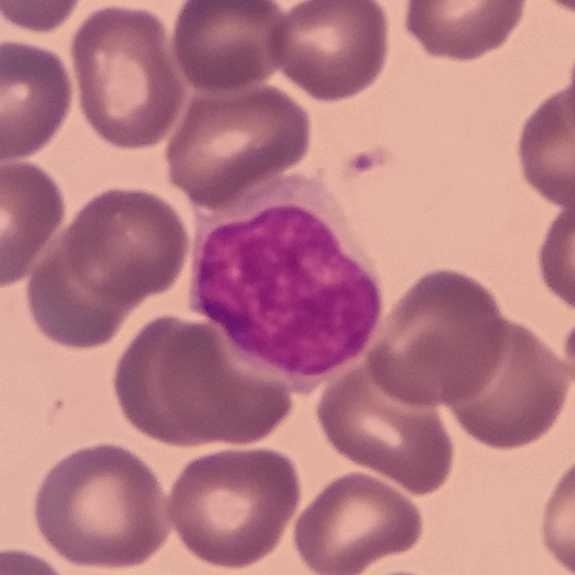

Preparation: Photographed through a light microscope with a smartphone camera · peripheral blood smear.

The white blood cell in this image is a lymphocyte.